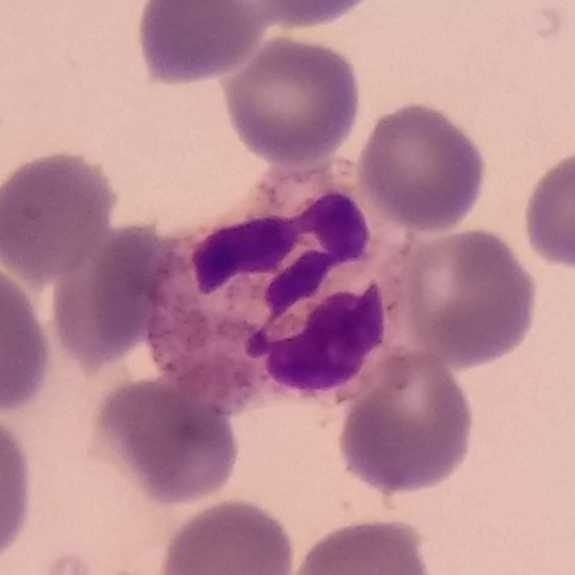Q: What is shown here?
A: A neutrophil granulocyte. Acquisition: Peripheral blood film.